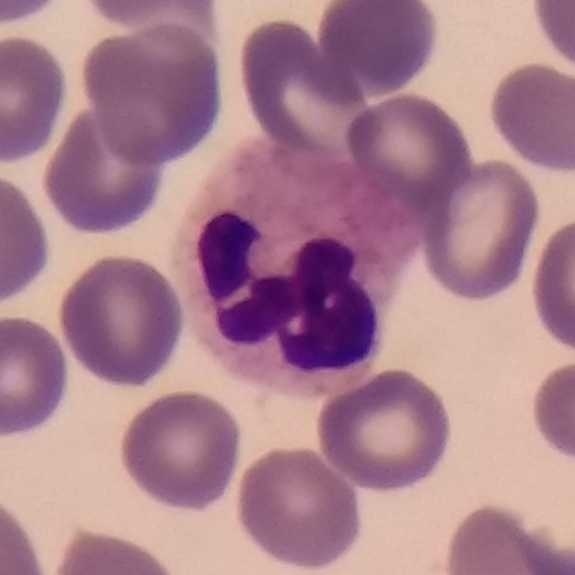 Giemsa stain.
Specimen: peripheral blood film.
Cell: neutrophilic granulocyte.
Lineage: myeloid.